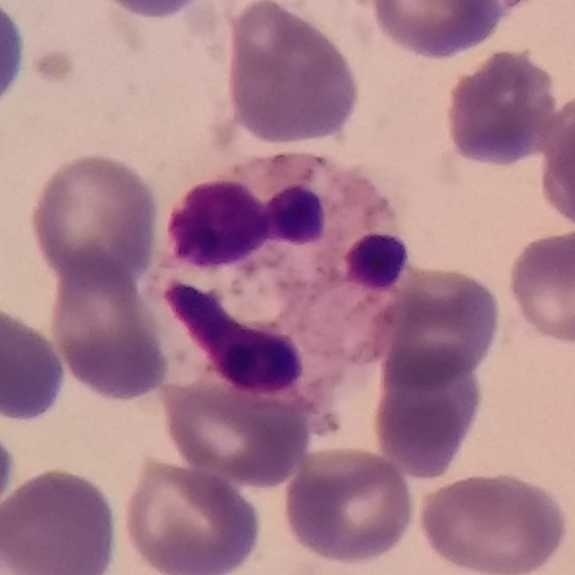
Classification — neutrophil.